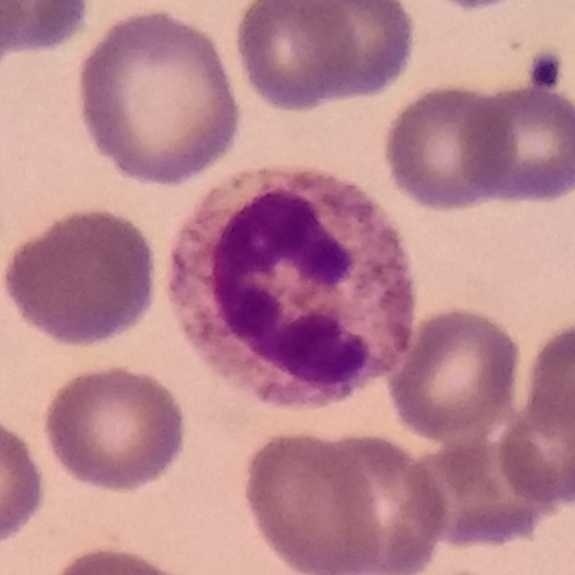
Single cell identified as a neutrophilic granulocyte.

Acquisition: Peripheral blood smear.